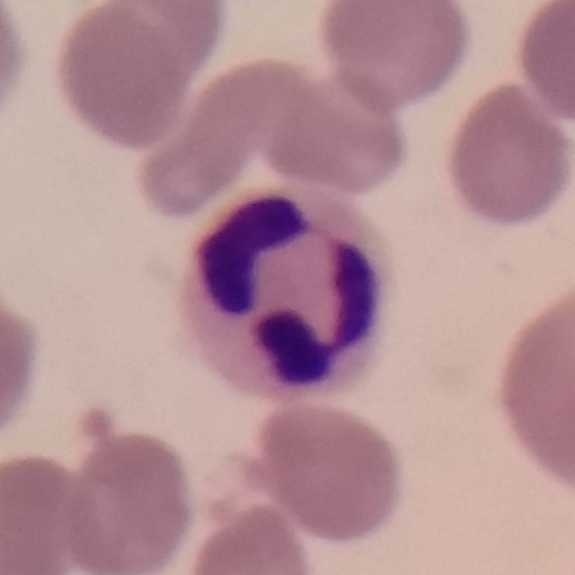Peripheral blood smear.
The white blood cell in this image is a neutrophil.